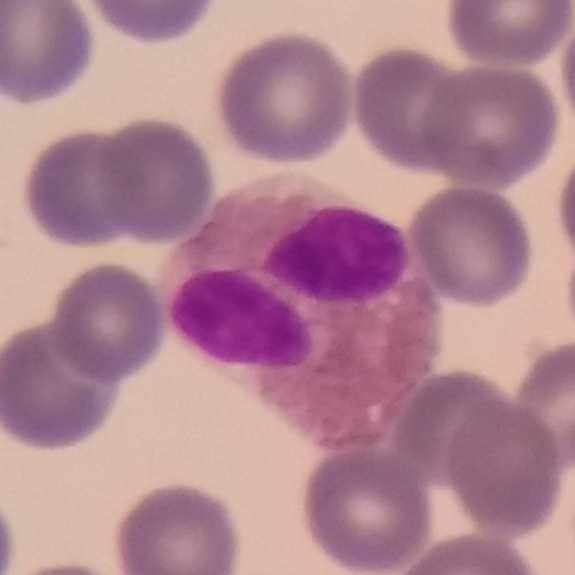

Acquisition: Peripheral blood film.

{"cell_type": "eosinophil", "lineage": "myeloid"}